Peripheral blood film:
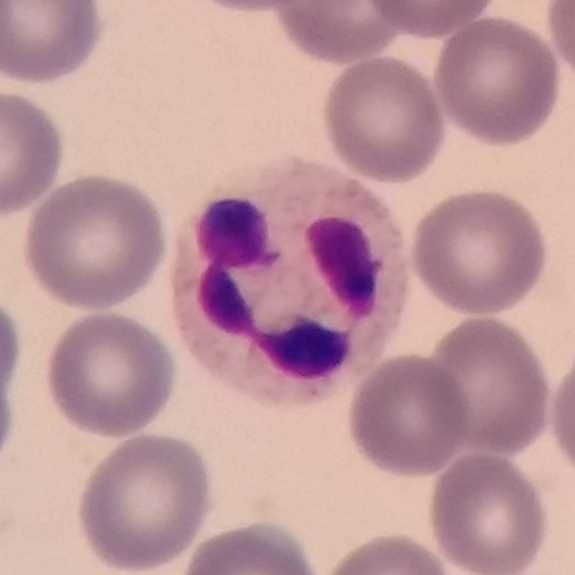Q: What is this?
A: It is a neutrophil.